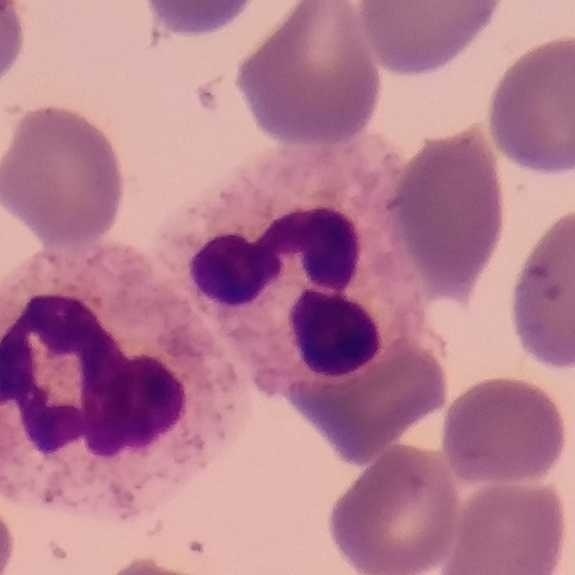 Morphology — neutrophil.

Peripheral blood film.